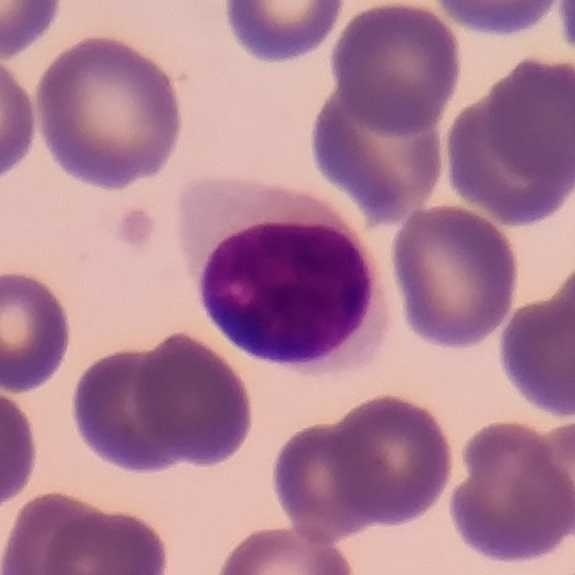Peripheral blood smear. Showing a lymphocyte.